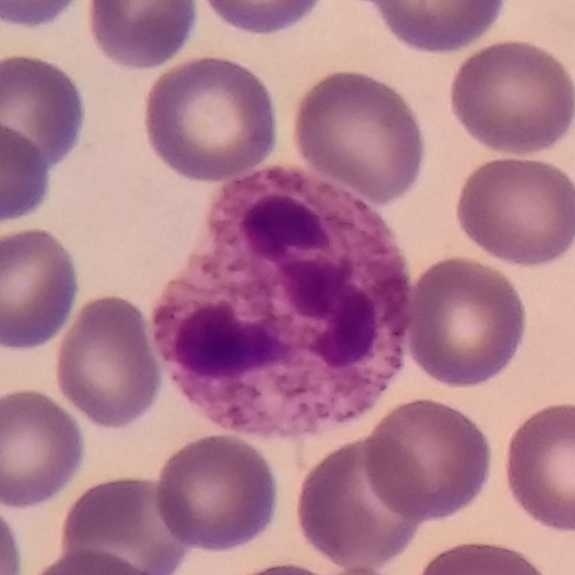

Acquisition: Peripheral blood smear.

Cell: neutrophilic granulocyte.